Peripheral blood smear · 100× magnification · Giemsa stain: 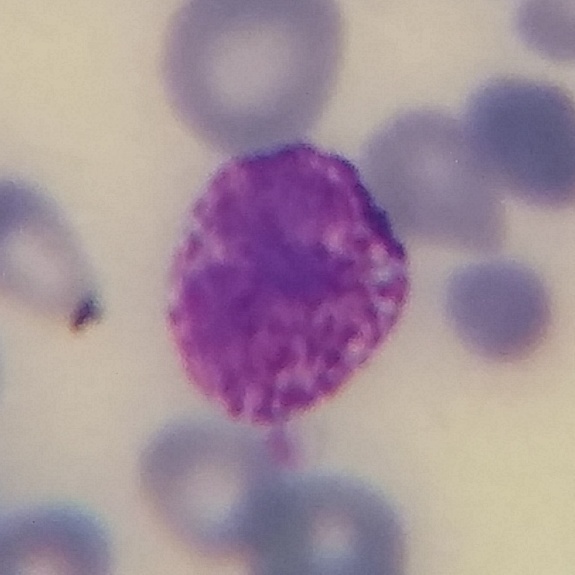 The white blood cell in this image is a basophil.